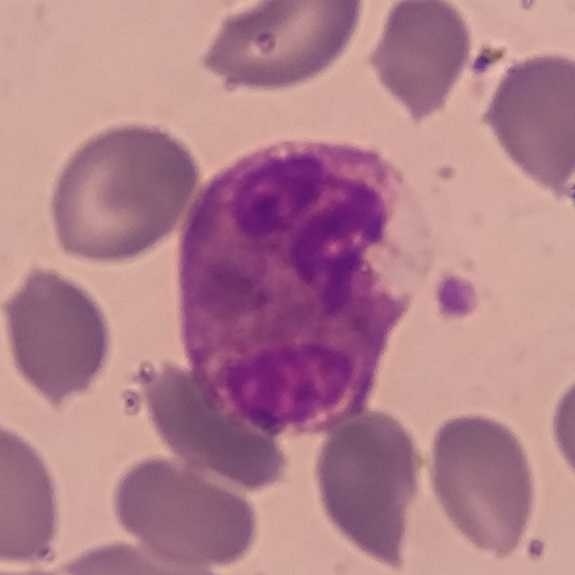

Specimen: peripheral blood smear.
Cell type: eosinophil.
Lineage: myeloid.